Single white blood cell cropped from the smear photograph · peripheral blood smear — 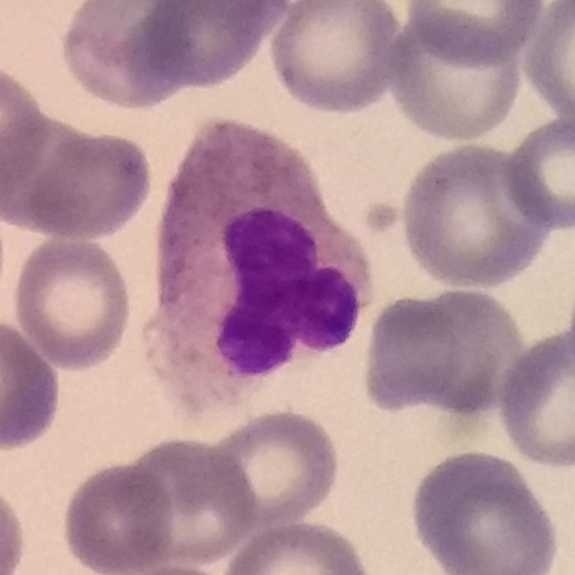

Classification = neutrophil granulocyte.